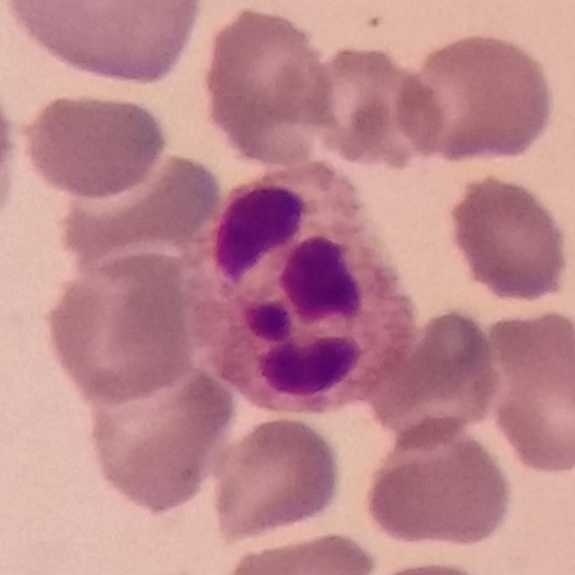

Cell type: neutrophilic granulocyte.